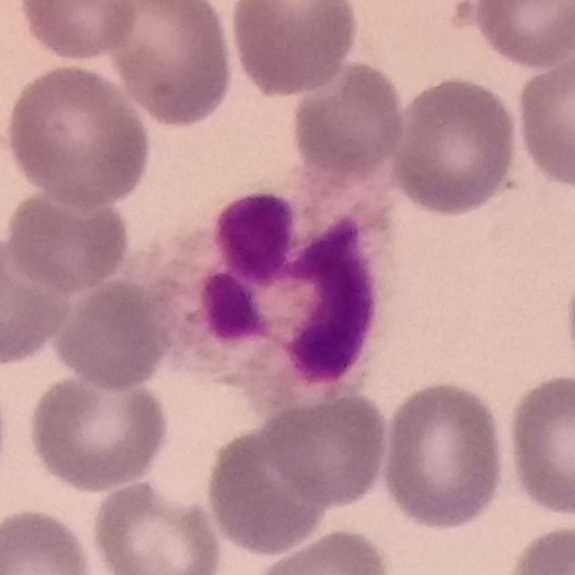
Context: 575×575 px.
Specimen: peripheral blood film.
Morphological class: neutrophilic granulocyte.
Lineage: myeloid.